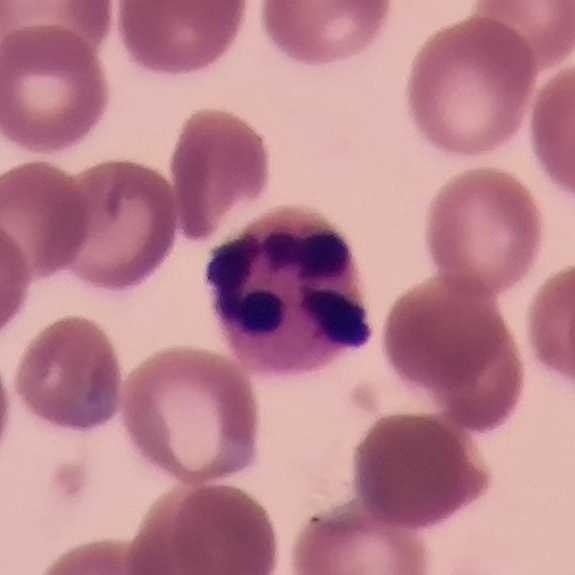

Cell = neutrophil.

Context: Peripheral blood smear · single-cell field.